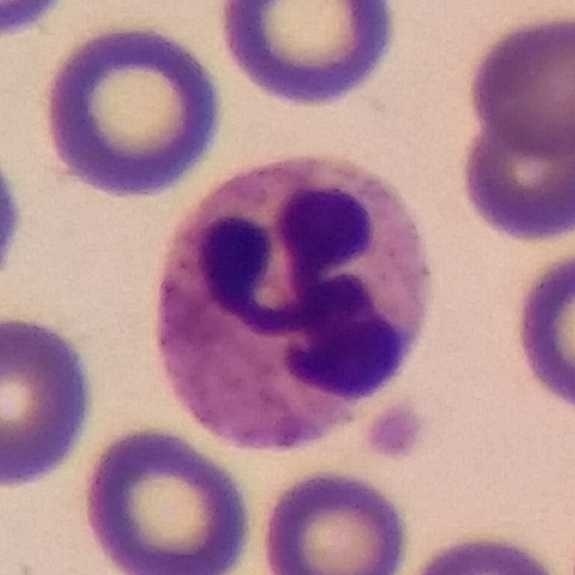Q: Which type of white blood cell is this?
A: This is a neutrophil.